575 by 575 pixels. Peripheral blood film — 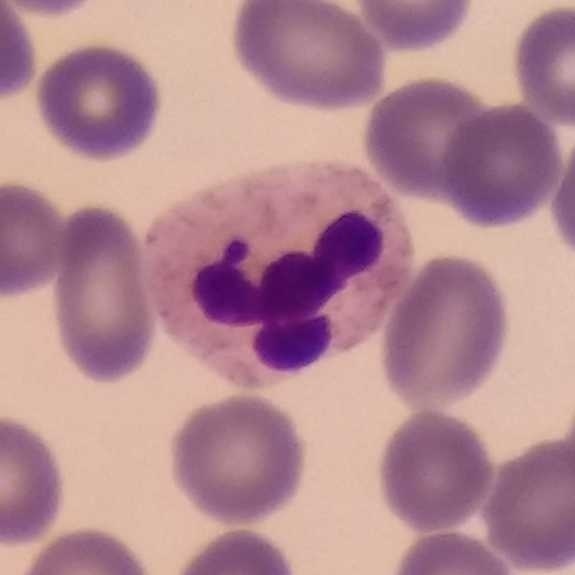 This is a neutrophil granulocyte.